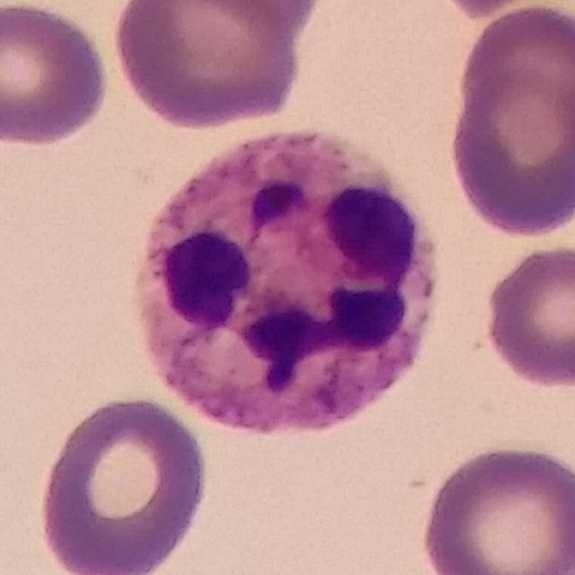
Q: What is the morphological classification of this cell?
A: Neutrophil.

Peripheral blood film. Smartphone camera mounted on the microscope eyepiece.